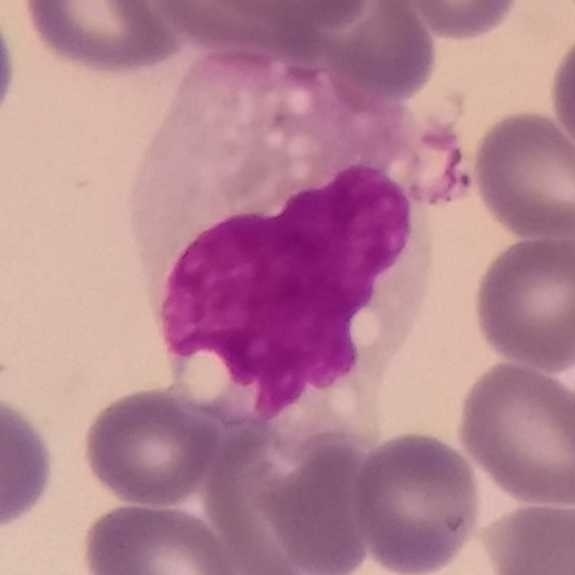Specimen: peripheral blood film.
Morphological class: monocyte.